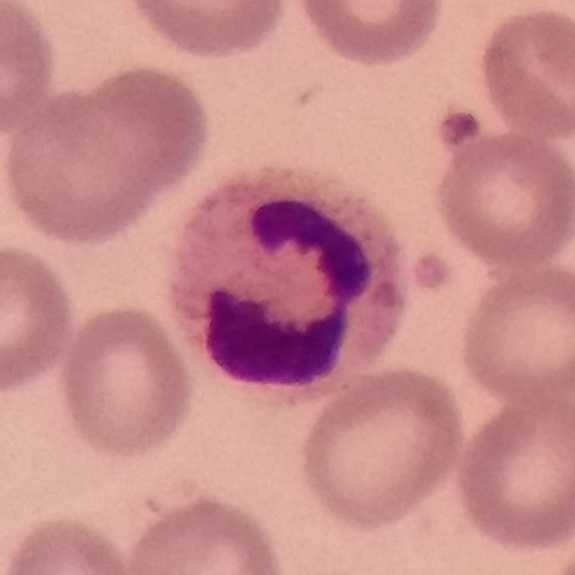Morphological class = neutrophilic granulocyte. Peripheral blood film.